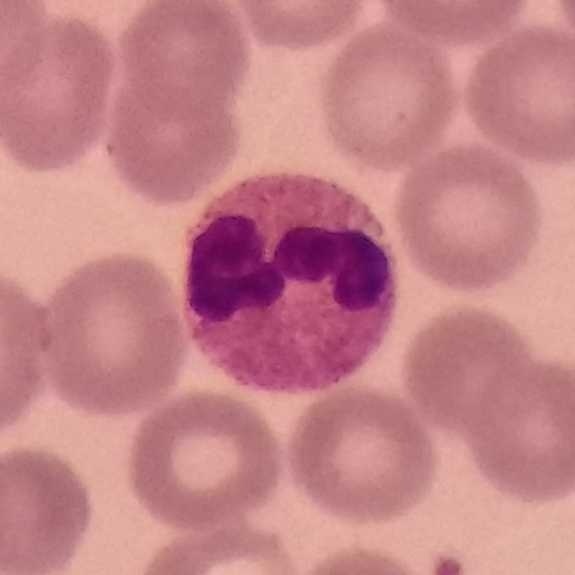
Single cell identified as a neutrophilic granulocyte.
Context: Image size 575×575; peripheral blood smear.